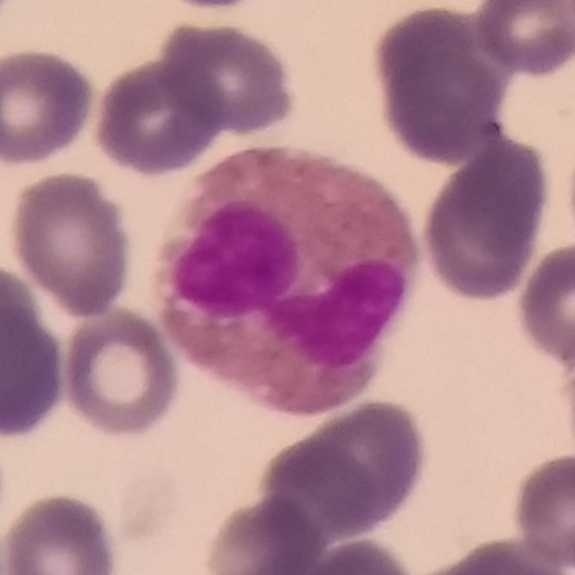 Acquisition: Peripheral blood smear; imaged at 100×. Classification: eosinophil.